Peripheral blood smear; 100× magnification
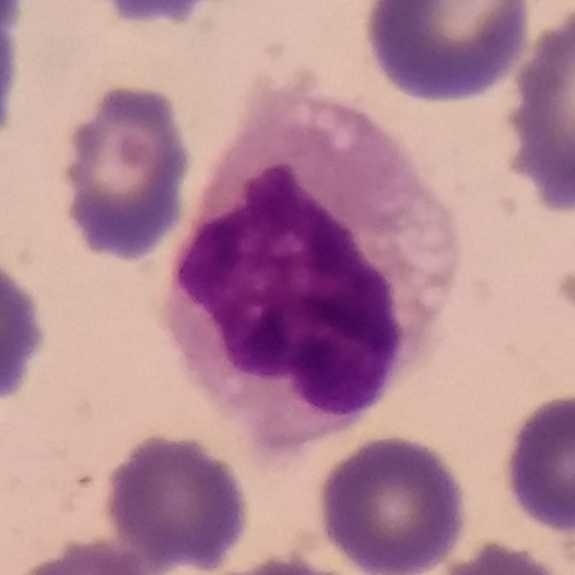

Classification — monocyte.